Peripheral blood smear; 575×575
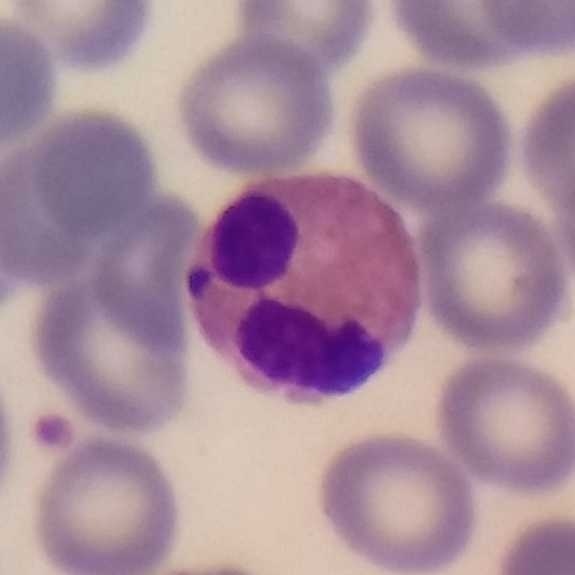
Showing an eosinophilic granulocyte.